Peripheral blood film — 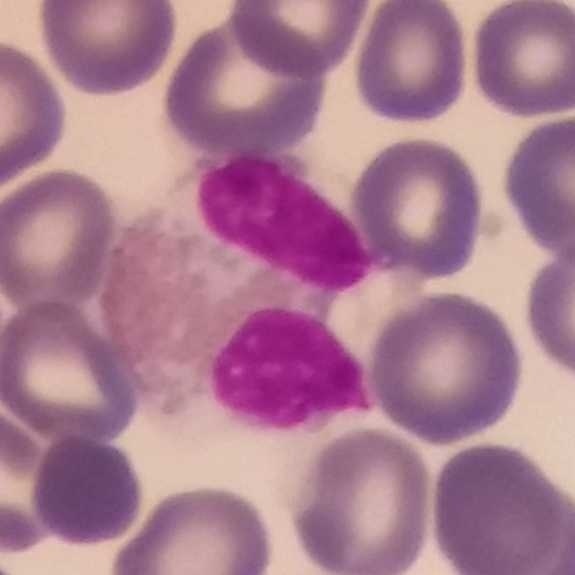

Cell type = eosinophilic granulocyte.